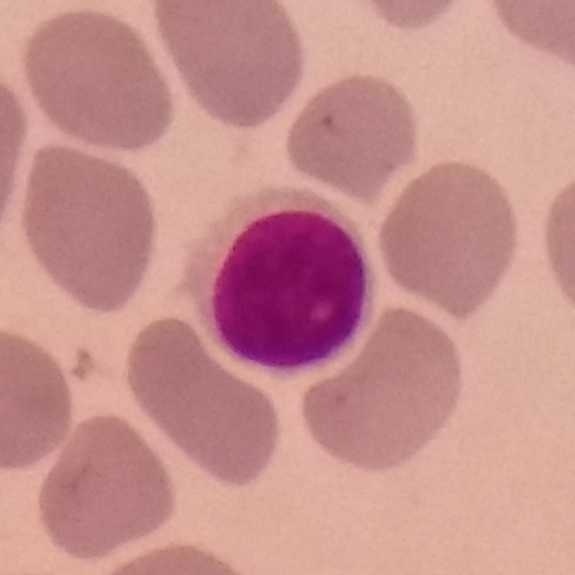
Giemsa stain. Peripheral blood smear. Q: What is shown here?
A: It is a lymphocyte.